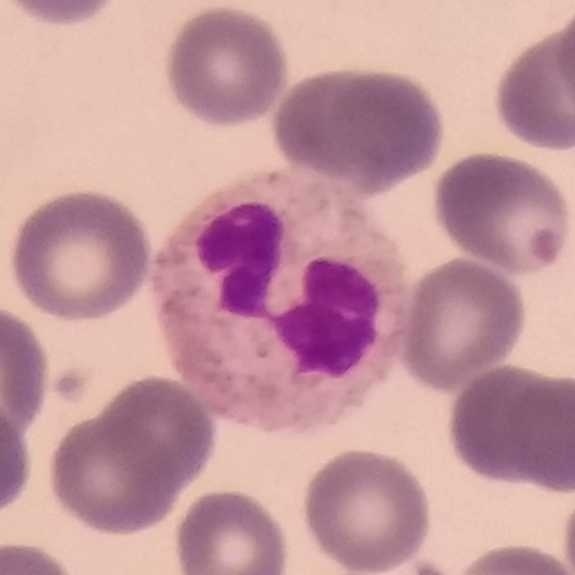Preparation: Peripheral blood film. Morphology → neutrophil.